Peripheral blood film; image size 575×575:
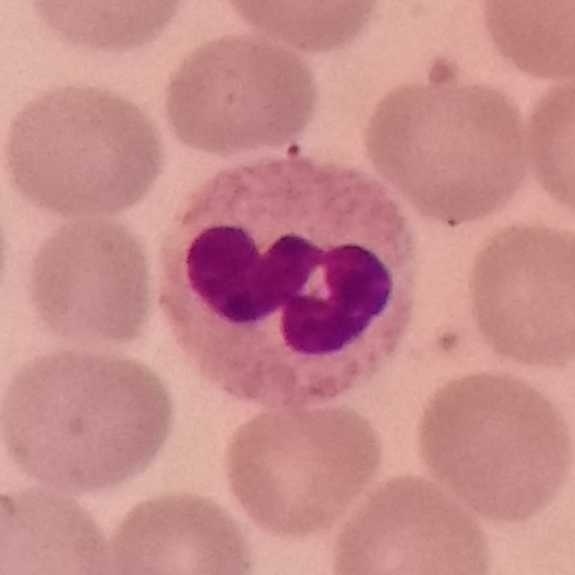The cell shown is a neutrophilic granulocyte.